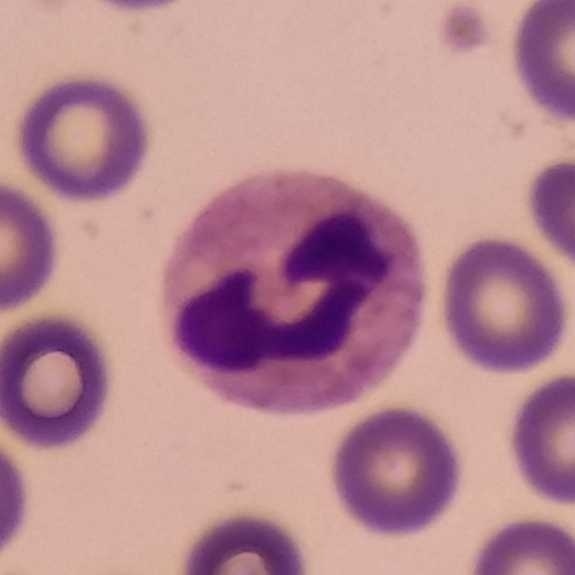

Q: Identify the cell.
A: Neutrophilic granulocyte.